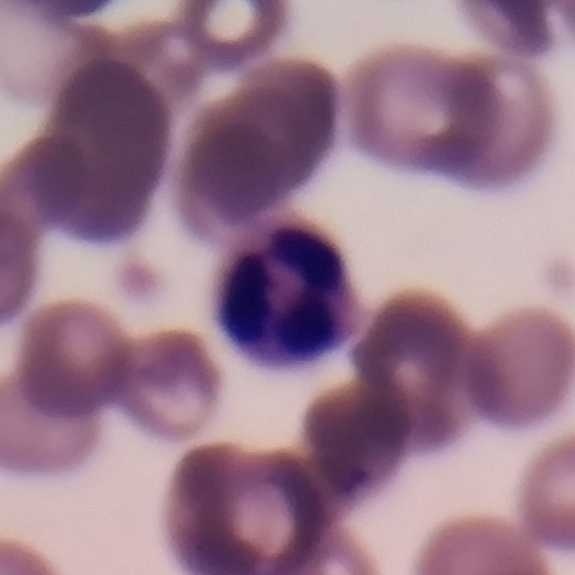

Context: Peripheral blood film. Classification: neutrophil granulocyte.